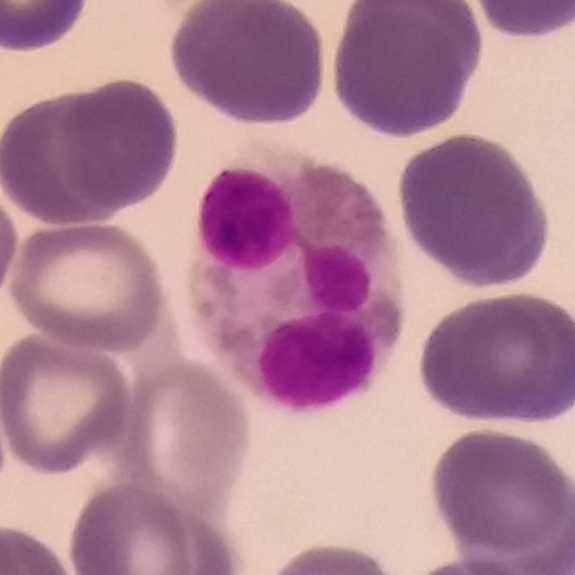
Eosinophilic granulocyte. Peripheral blood smear.